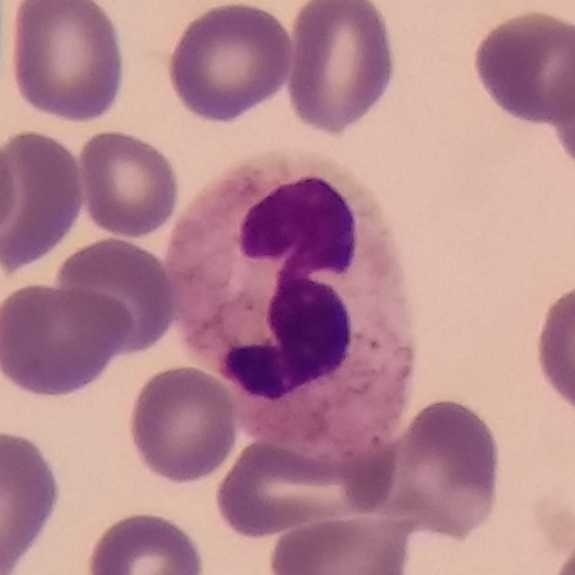

This is a neutrophil granulocyte.